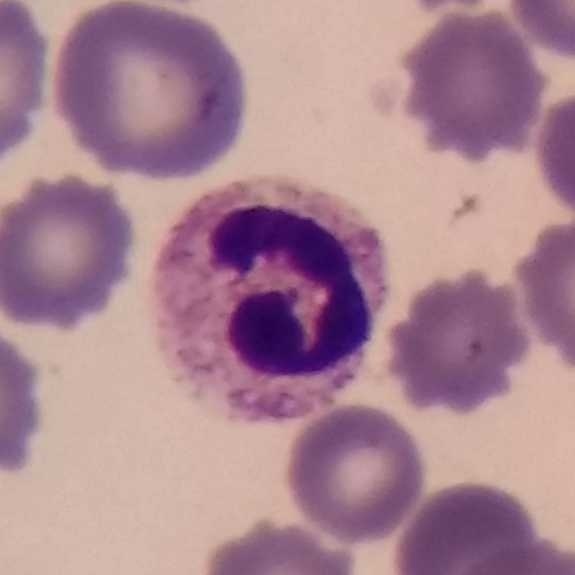Acquisition: Image size 575×575 · peripheral blood film. Morphology — neutrophilic granulocyte.